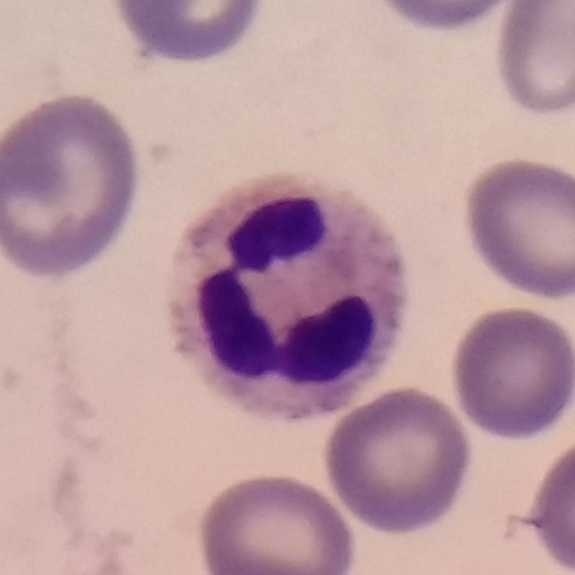

Context: Imaged at 100× · peripheral blood smear.
A neutrophilic granulocyte.